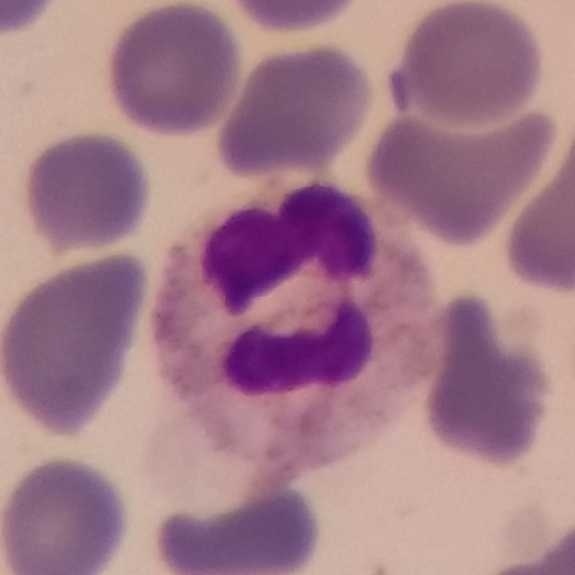
Cell type — neutrophilic granulocyte.